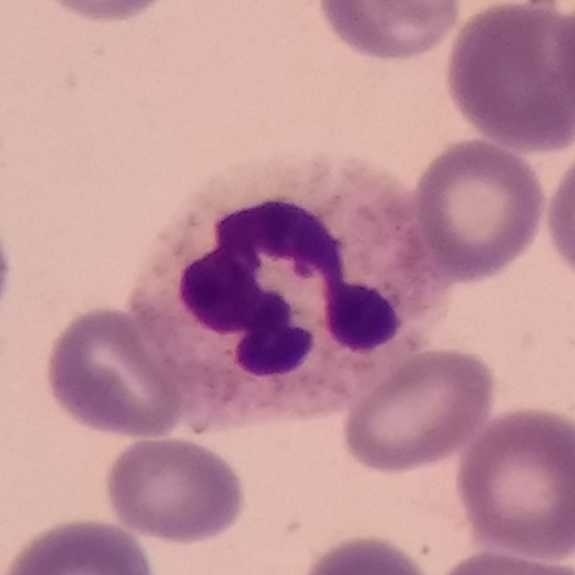
Preparation: 575×575.

Specimen: peripheral blood smear.
Morphological class: neutrophilic granulocyte.